Peripheral blood film.
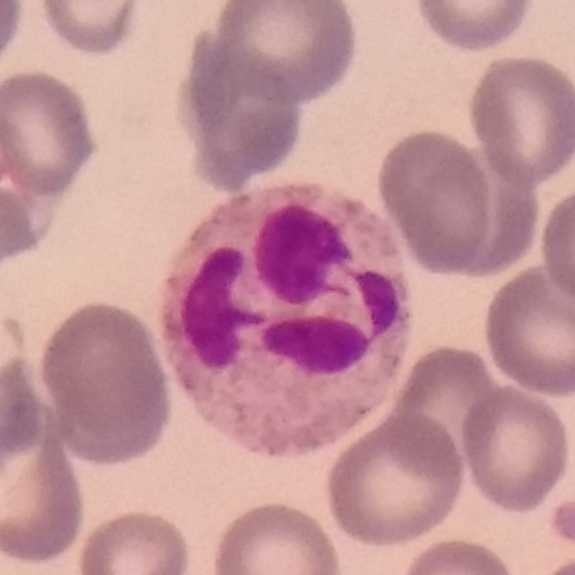 Q: Classify this leukocyte.
A: This is a neutrophilic granulocyte.